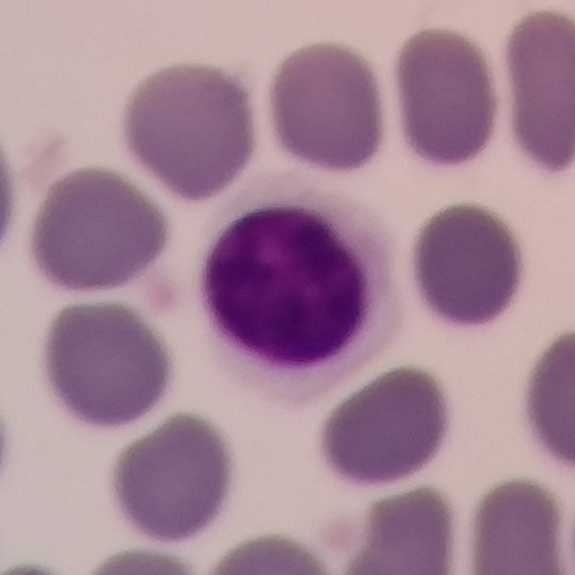Q: Which type of white blood cell is this?
A: This is a lymphocyte.